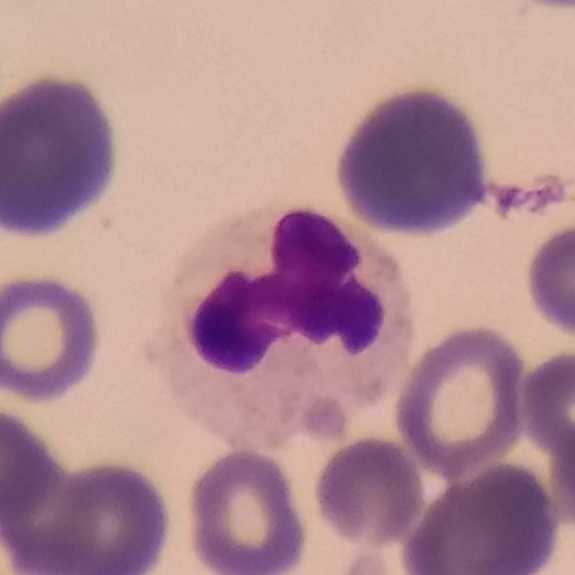
Classification — neutrophilic granulocyte.

Image: Smartphone photomicrograph. Peripheral blood film.